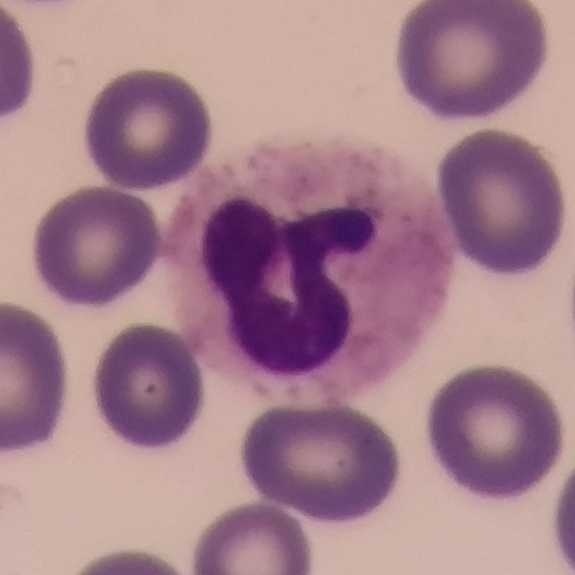 The morphological class is neutrophilic granulocyte.